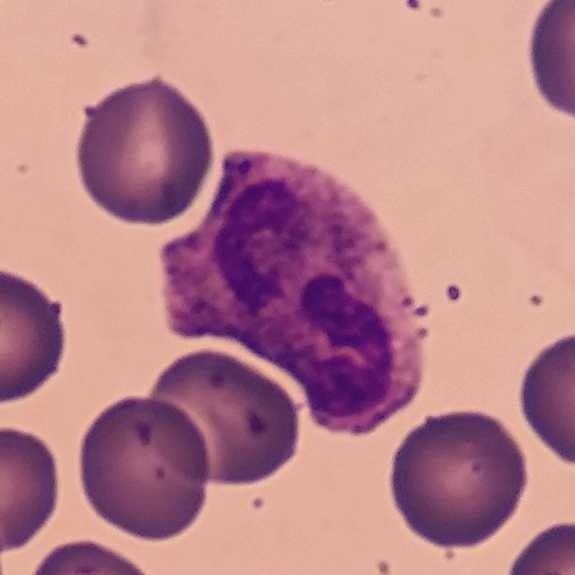

Impression — neutrophil. Preparation: Giemsa stain; single white blood cell cropped from the smear photograph; peripheral blood smear.